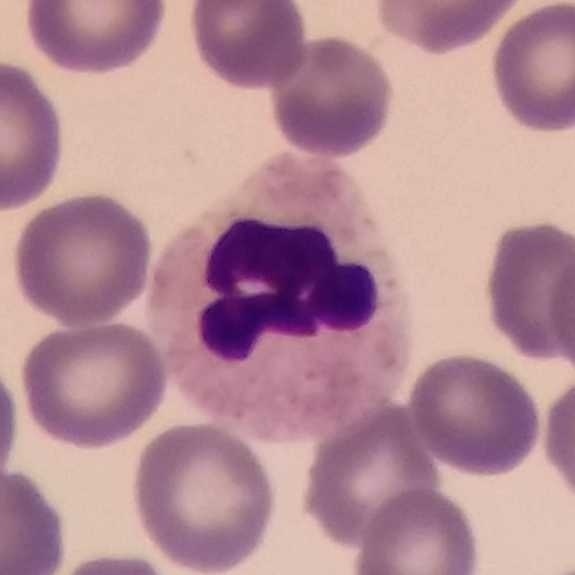 Cell — neutrophilic granulocyte.